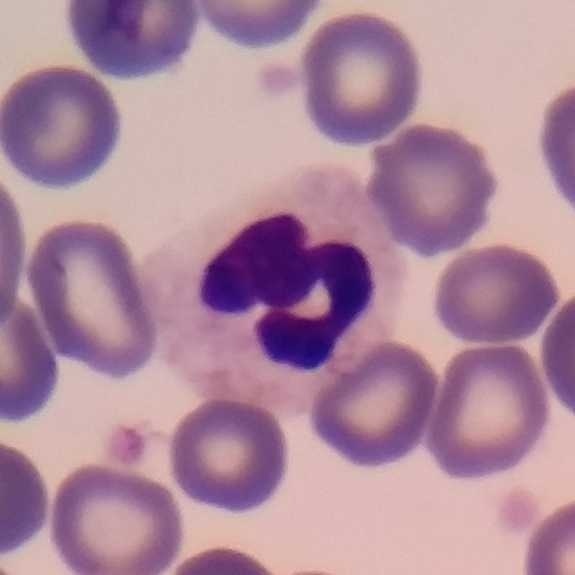 A neutrophil granulocyte. Peripheral blood smear.